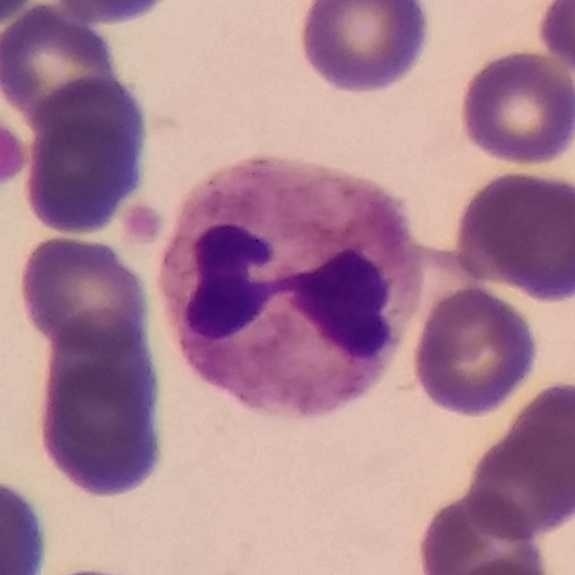
Cell type = neutrophil granulocyte.

Image: 575×575 px. Imaged at 100×. Peripheral blood film.